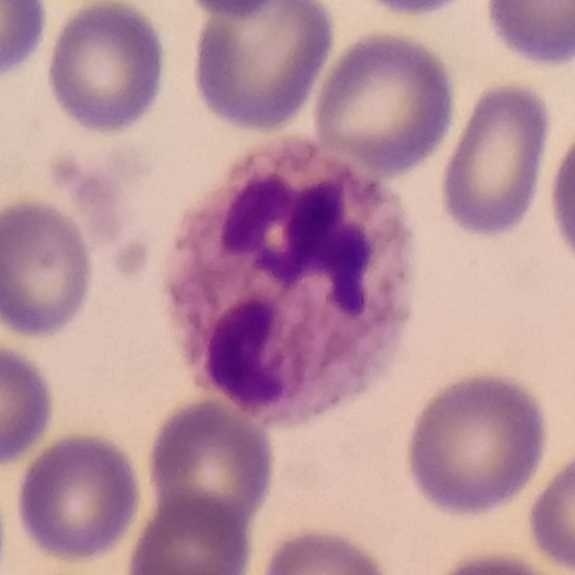Preparation: Peripheral blood film.

Morphological class: neutrophil.